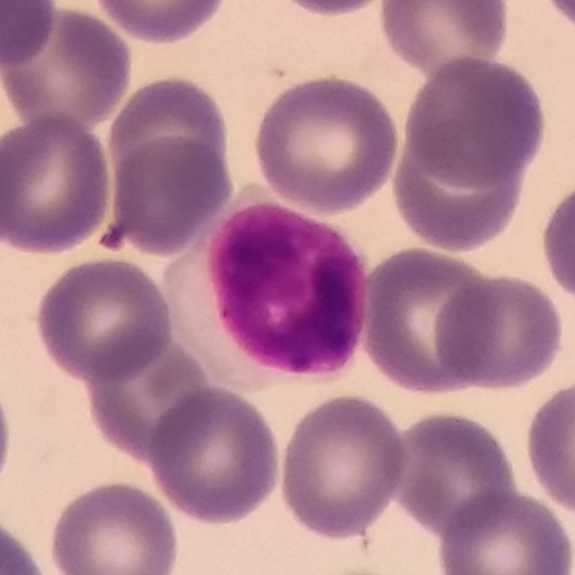 Morphology consistent with a lymphocyte. Image: Stained with Giemsa; peripheral blood film; smartphone photomicrograph.